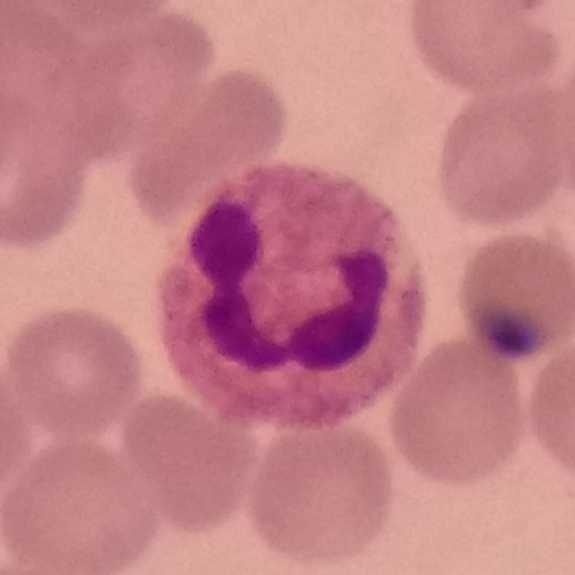 Impression — neutrophil granulocyte.
Preparation: Peripheral blood smear · 575 by 575 pixels.